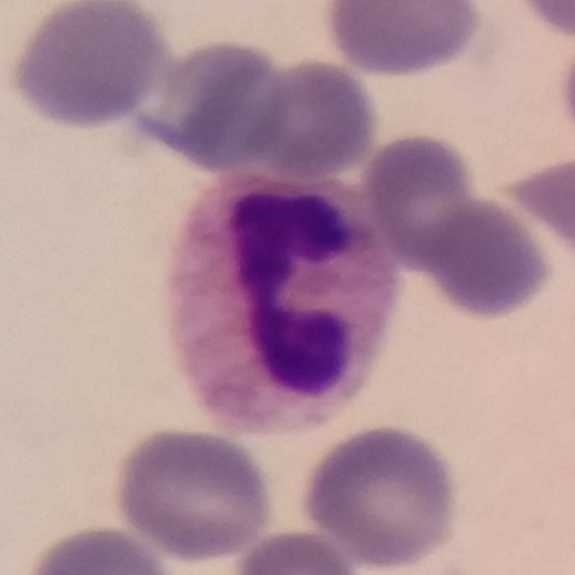
The cell is neutrophilic granulocyte. Preparation: Peripheral blood smear.